Peripheral blood smear · 575 by 575 pixels:
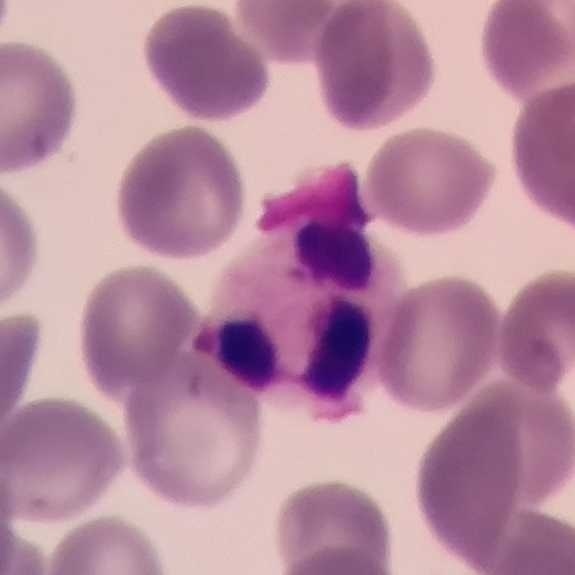
{"cell_type": "neutrophil"}